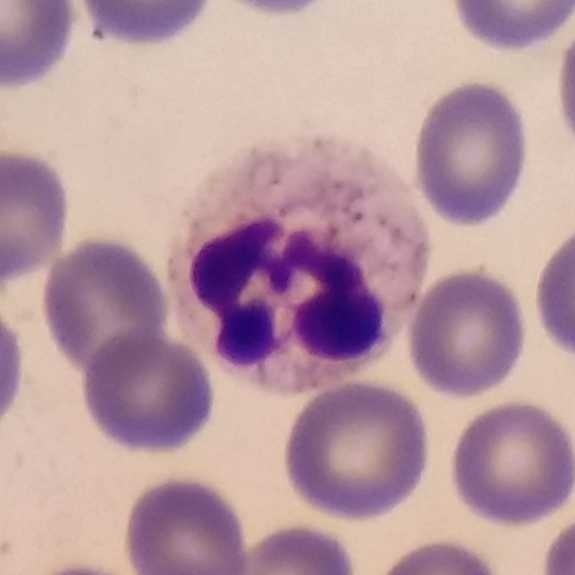

White blood cell type — neutrophilic granulocyte. Acquisition: Peripheral blood smear.